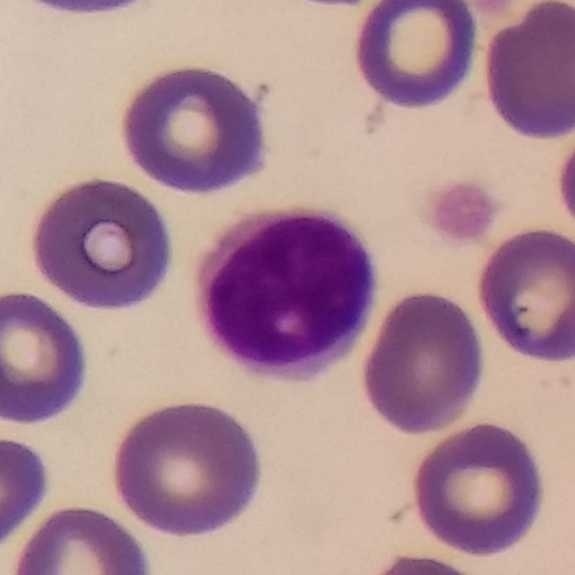

Q: Which type of white blood cell is this?
A: It is a lymphocyte.
Context: Peripheral blood film.